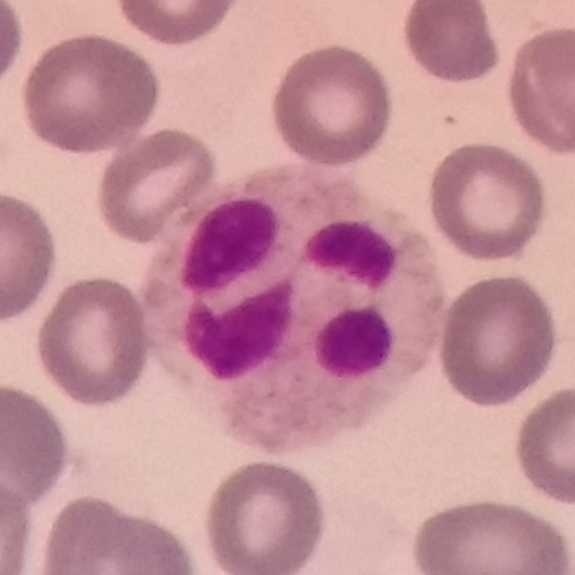
Acquisition: Peripheral blood smear. Morphology — neutrophilic granulocyte.